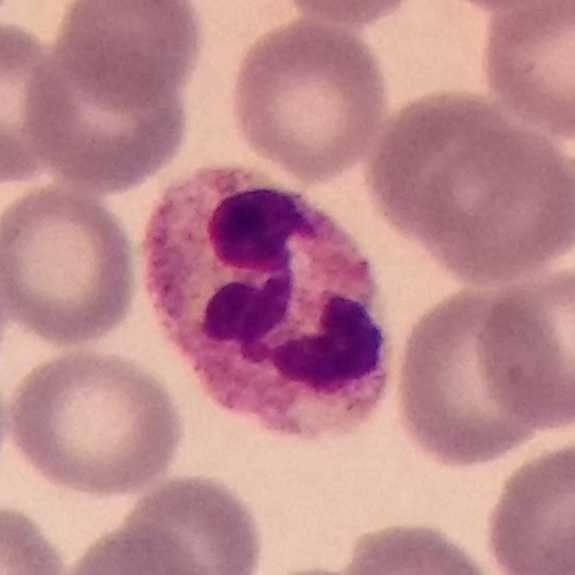 Identified as a neutrophil. Phone-camera image taken through the microscope ocular; peripheral blood smear.